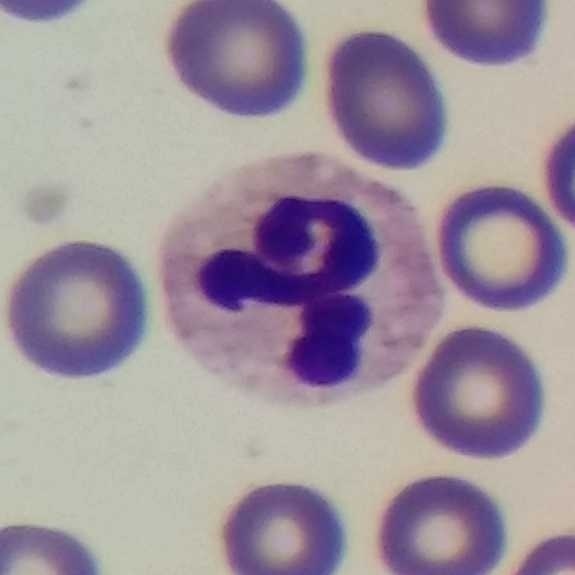 Context: Peripheral blood smear.

Impression — neutrophil granulocyte.